Peripheral blood film. Stained with Giemsa: 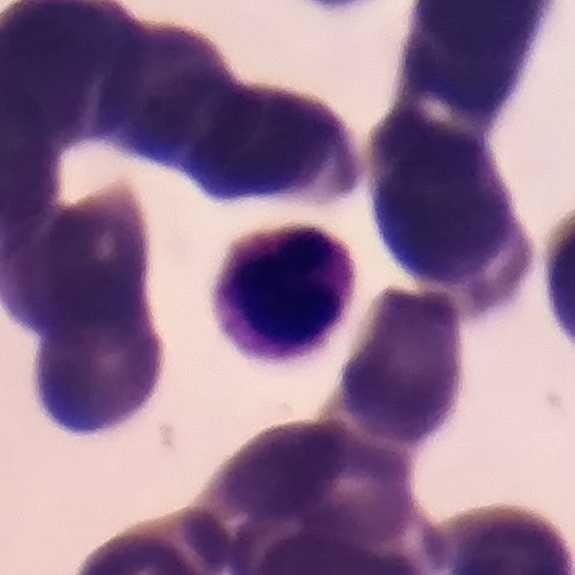 Cell type = neutrophil granulocyte.